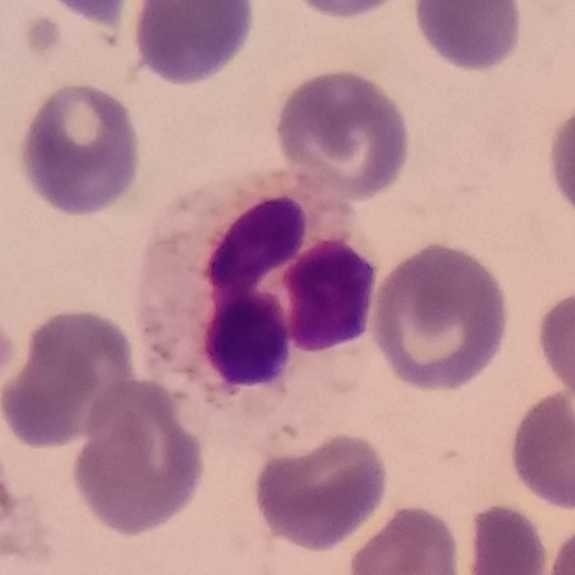Context: Peripheral blood smear · photographed through a light microscope with a smartphone camera · 575×575 px.
Q: What is shown here?
A: Neutrophil.